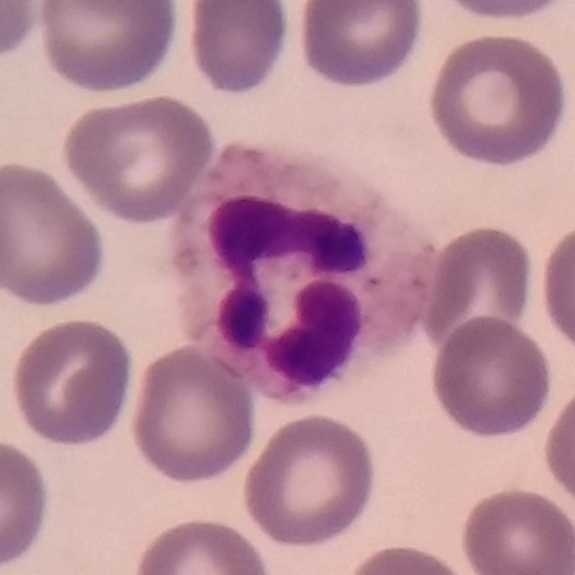
Peripheral blood smear.

The cell type is neutrophilic granulocyte.